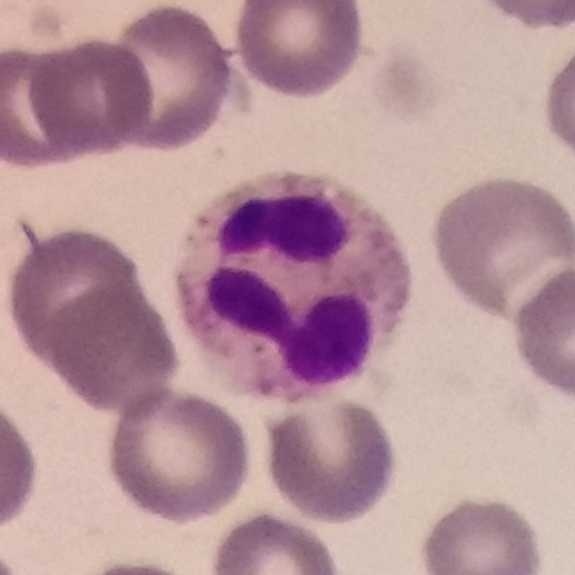Specimen: peripheral blood smear.
Cell type: neutrophilic granulocyte.
Lineage: myeloid.